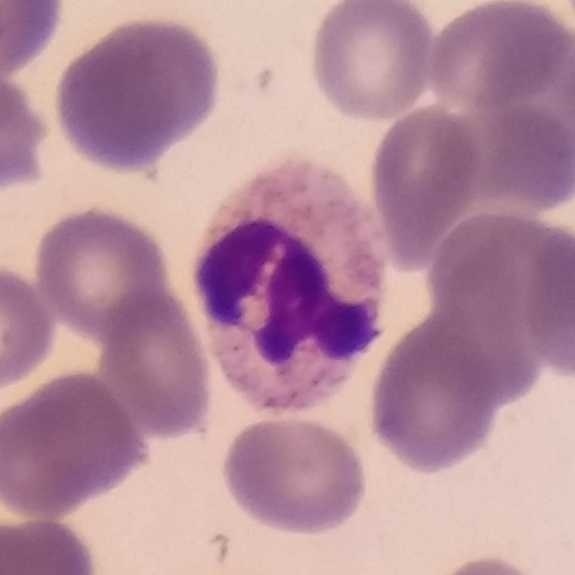 Image size 575×575. Peripheral blood smear. Q: Classify this leukocyte.
A: This is a neutrophil granulocyte.